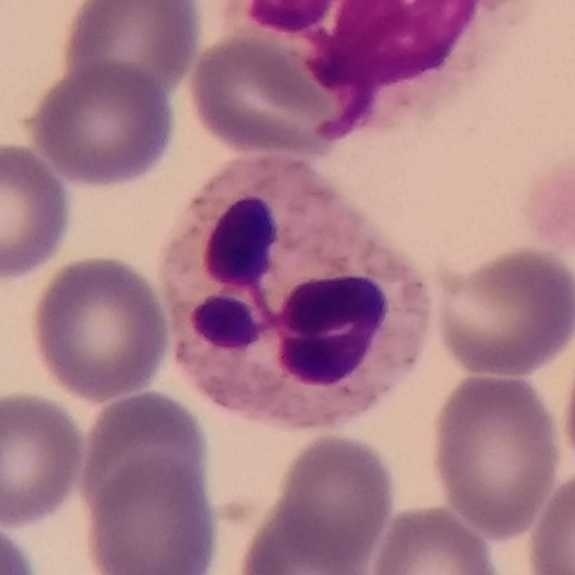
Q: What is this?
A: It is a neutrophil. Peripheral blood film; Giemsa-stained; image size 575×575.